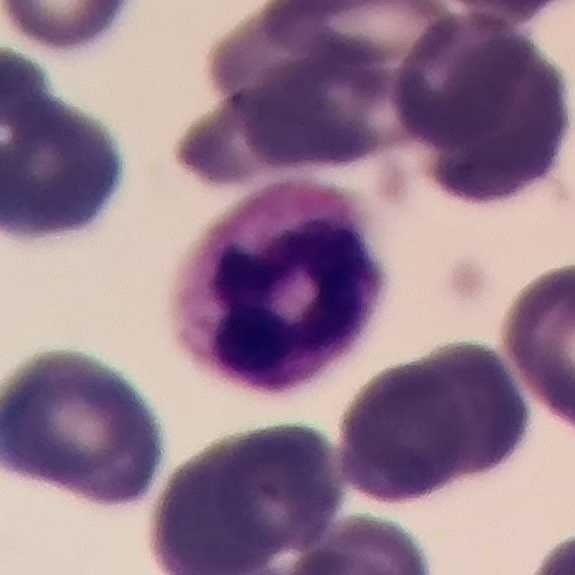 Morphology — neutrophil. Peripheral blood smear.